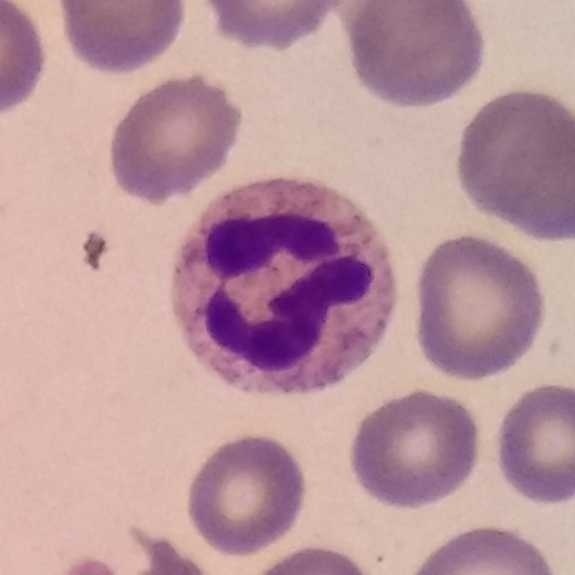 Peripheral blood film, single cell — neutrophil.